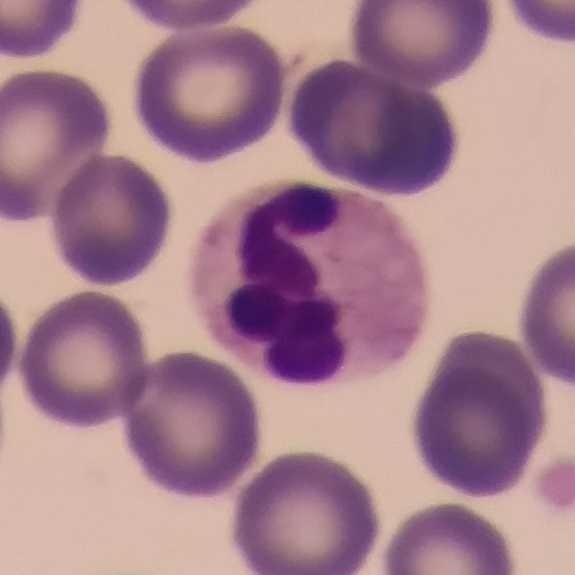 Context: Peripheral blood smear. Single white blood cell cropped from the smear photograph. Showing a neutrophil.